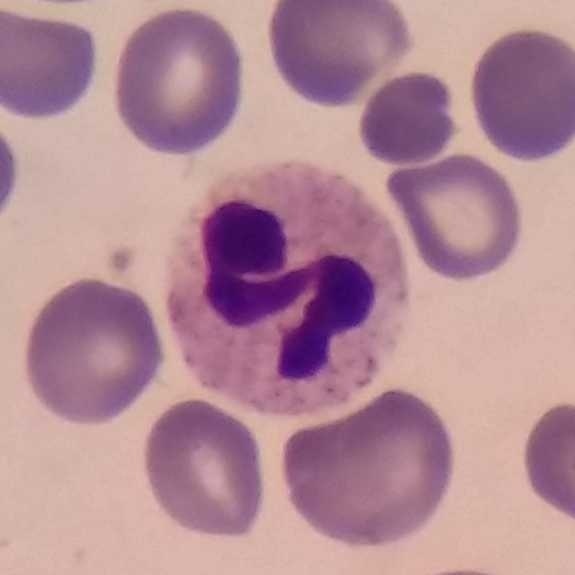Acquisition: Peripheral blood film. Neutrophil.